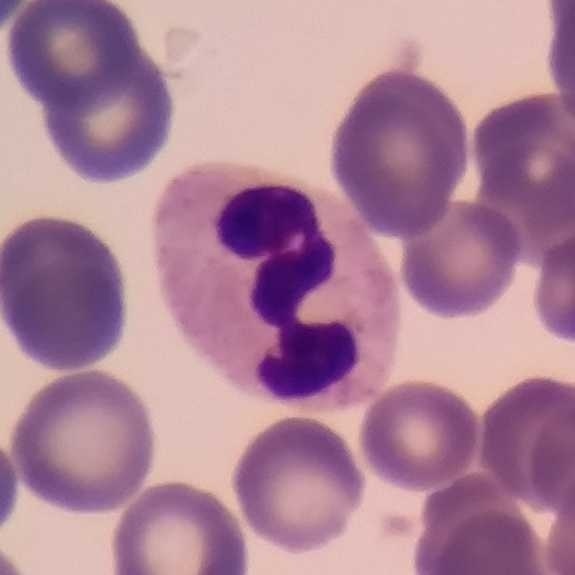
Morphology consistent with a neutrophilic granulocyte.